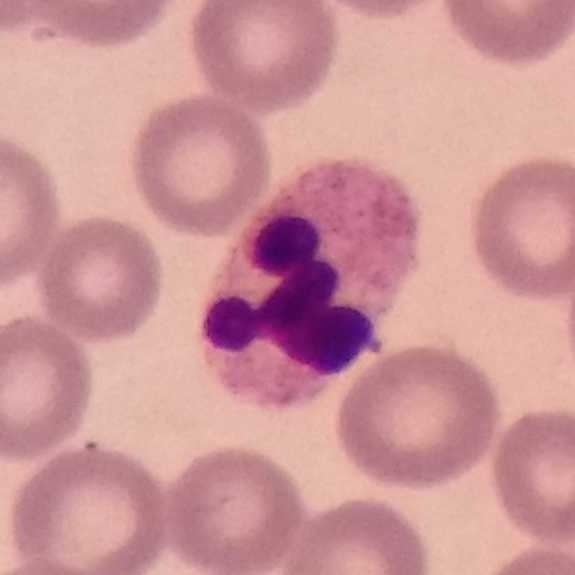
Context: Peripheral blood smear.

Q: What is the morphological classification of this cell?
A: This is a neutrophil granulocyte.